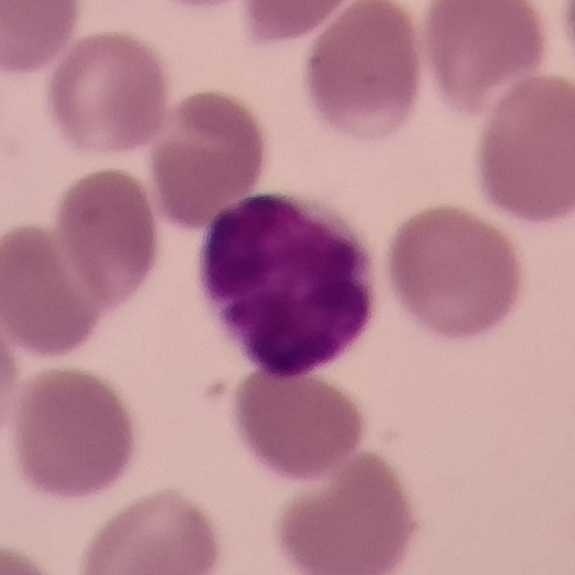Single cell identified as a lymphocyte.
Preparation: Peripheral blood smear.